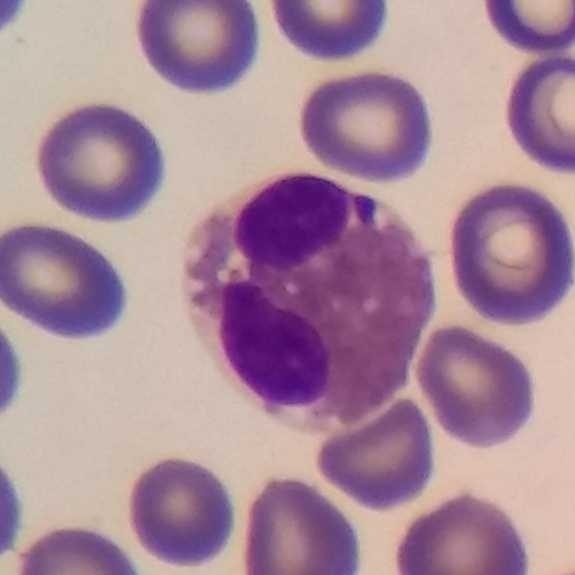 Q: What is shown here?
A: It is an eosinophilic granulocyte. Acquisition: Giemsa stain. Peripheral blood smear.